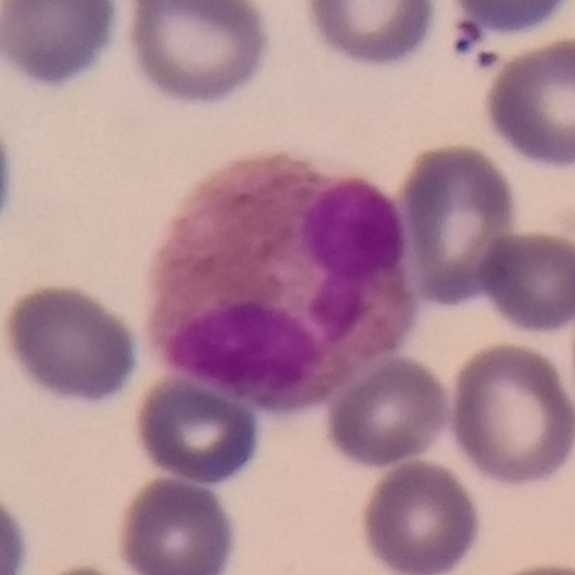 Peripheral blood film.
The cell is eosinophil.